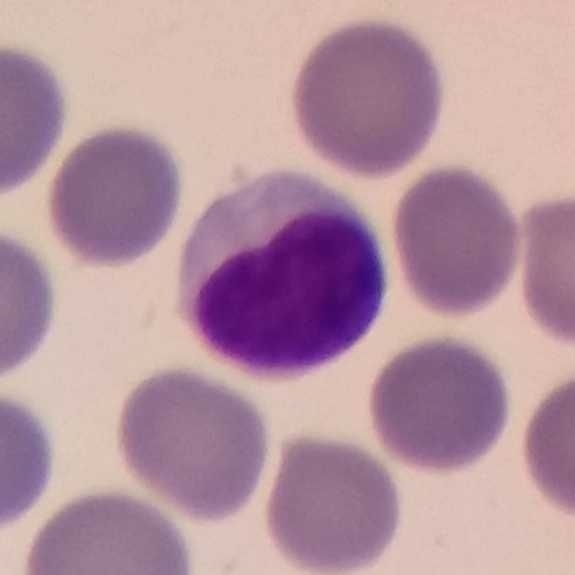
{"cell_type": "lymphocyte"}
Acquisition: Peripheral blood smear. 575×575 px.